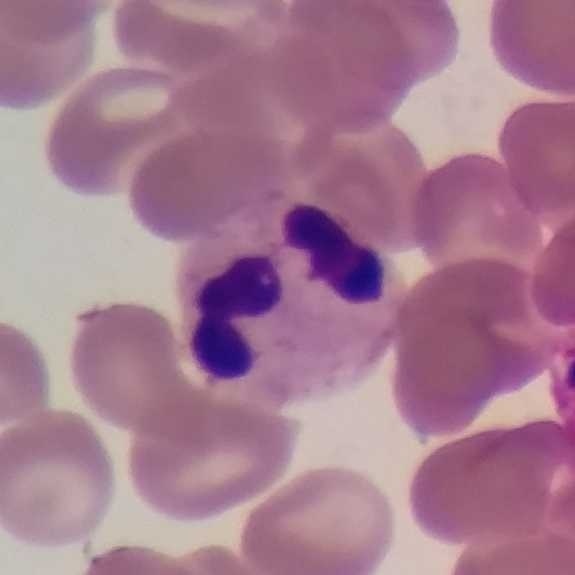

Peripheral blood film.

White blood cell type — neutrophil.